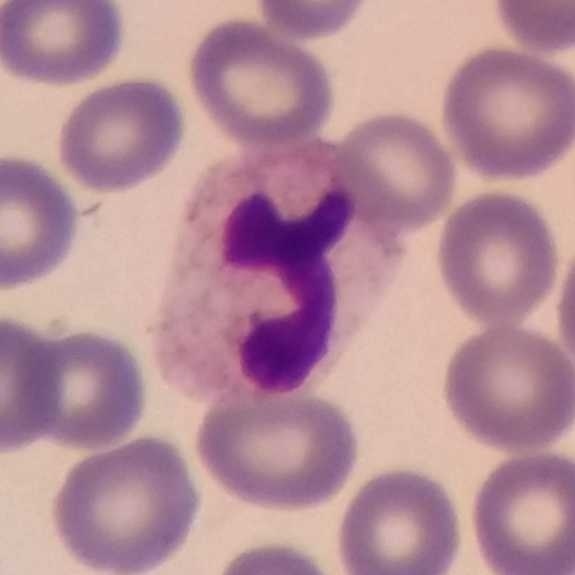

575×575.
Specimen: peripheral blood smear.
White blood cell type: neutrophil granulocyte.